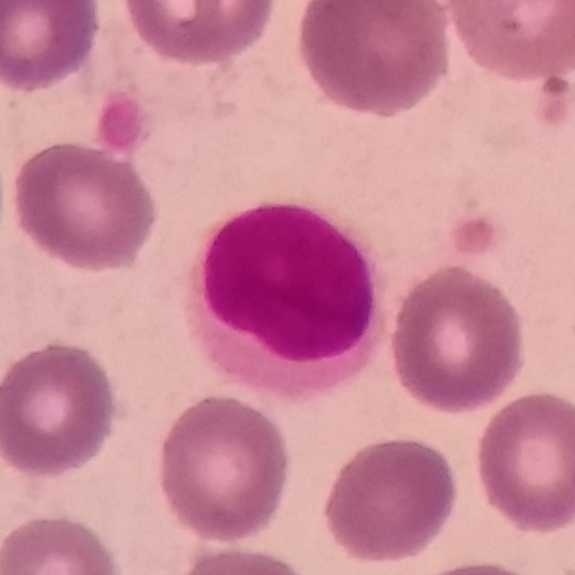 The white blood cell in this image is a lymphocyte.

Peripheral blood film.